Peripheral blood film · stained with Giemsa
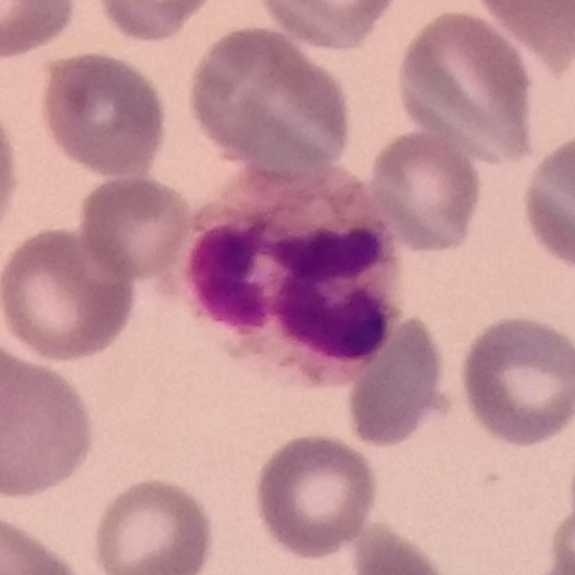The cell shown is a neutrophilic granulocyte.